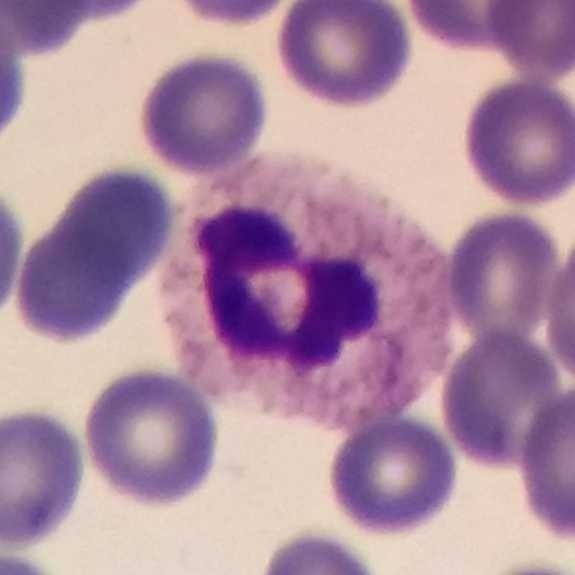Acquisition: Magnification 100×. Smartphone camera mounted on the microscope eyepiece.

Specimen: peripheral blood smear.
Cell type: neutrophilic granulocyte.